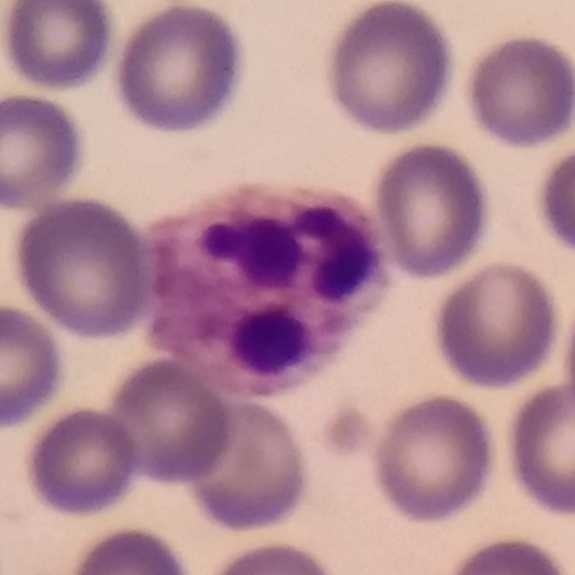 Context: 575×575 px; Giemsa stain; peripheral blood film.

Identified as a neutrophil.